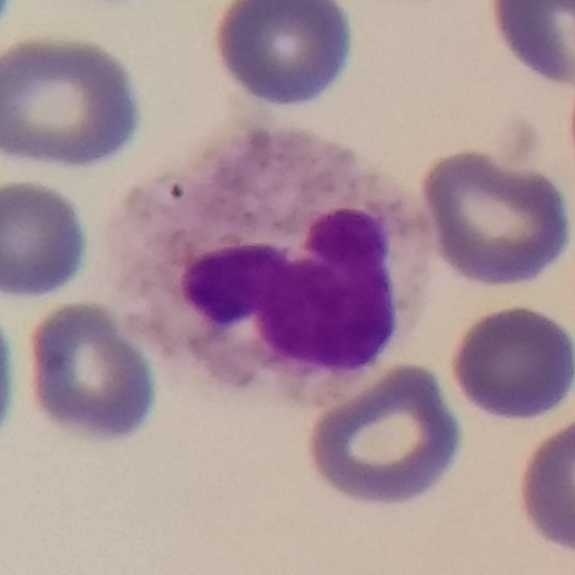The classification is neutrophilic granulocyte.